Peripheral blood smear; Giemsa stain:
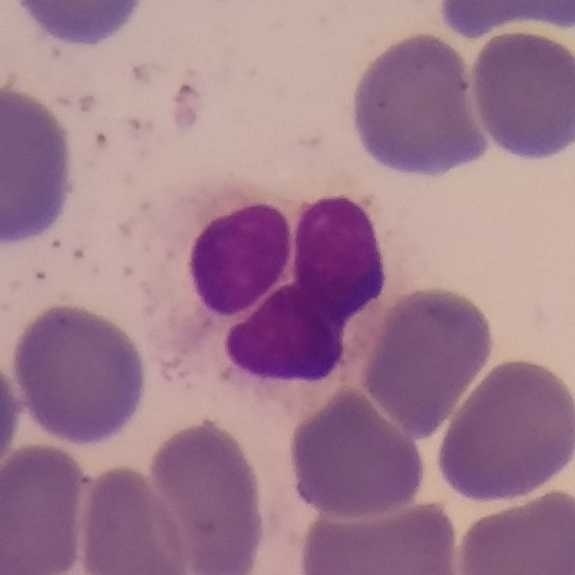

This is a neutrophilic granulocyte.